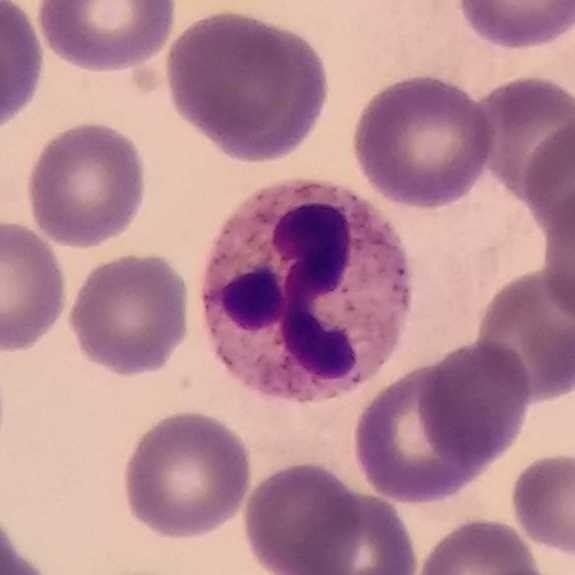
Image: Peripheral blood film.

Q: Classify this leukocyte.
A: Neutrophilic granulocyte.